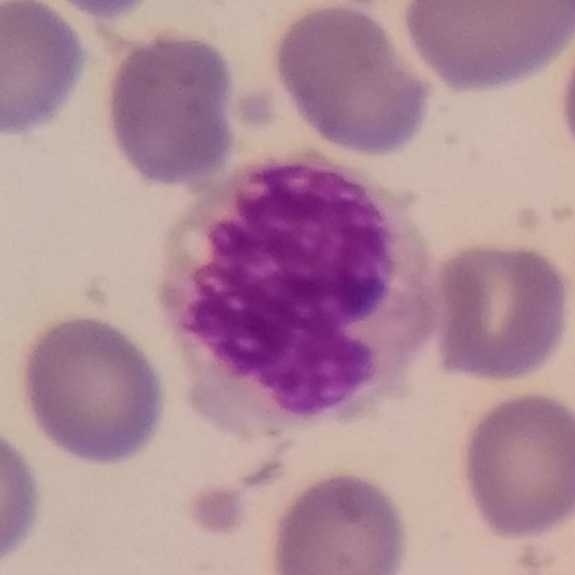
Preparation: Peripheral blood film; phone-camera image taken through the microscope ocular.
Impression → monocyte.